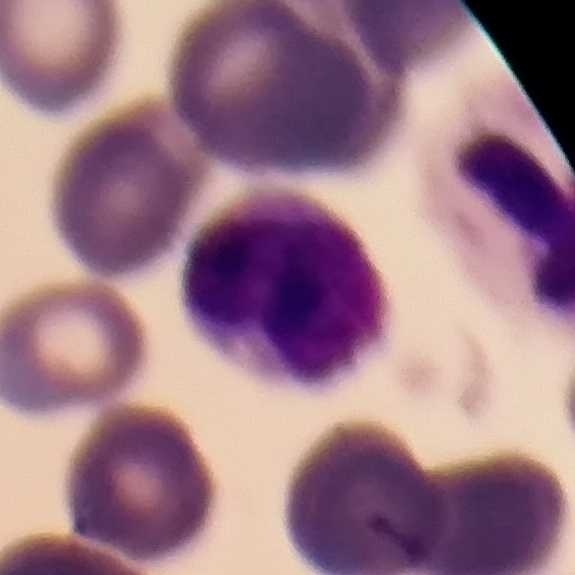 Q: What cell is this?
A: A lymphocyte. Preparation: Giemsa stain; peripheral blood smear.